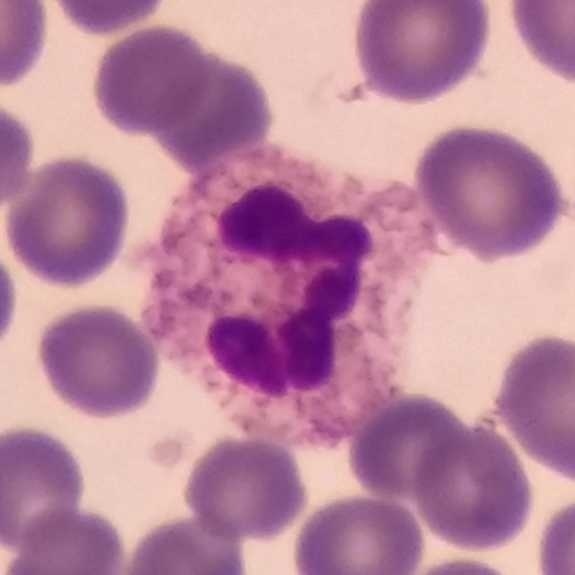Impression — neutrophilic granulocyte. Acquisition: Peripheral blood film.